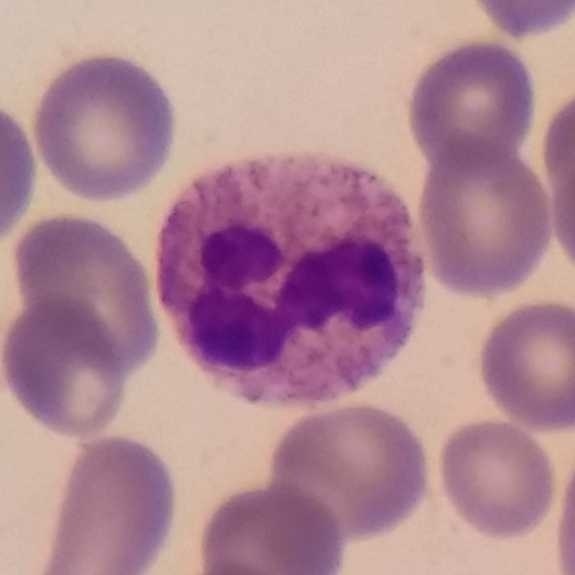

Morphology — neutrophil granulocyte.